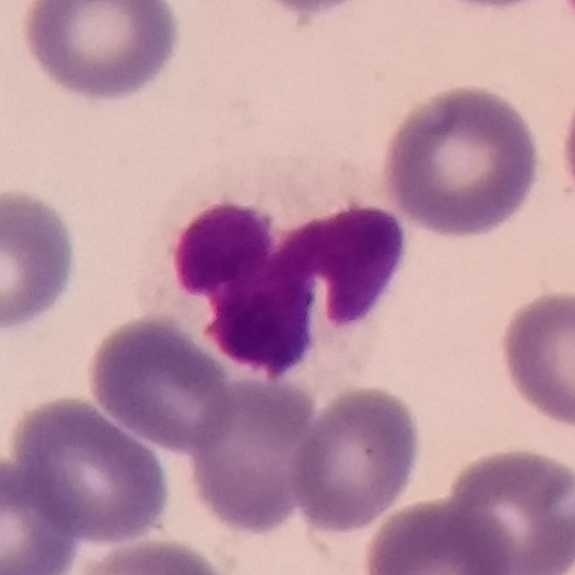 Acquisition: Single white blood cell cropped from the smear photograph. Peripheral blood film.
{"cell_type": "lymphocyte", "lineage": "lymphoid"}